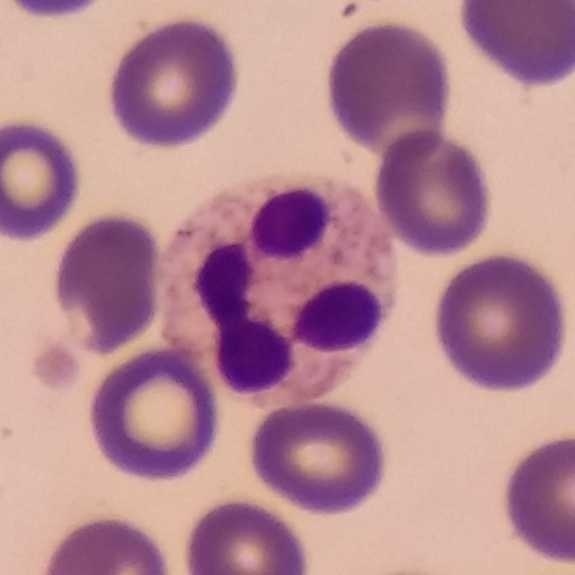Q: Identify the cell.
A: This is a neutrophil. Image: Peripheral blood smear.